Peripheral blood film. Giemsa stain:
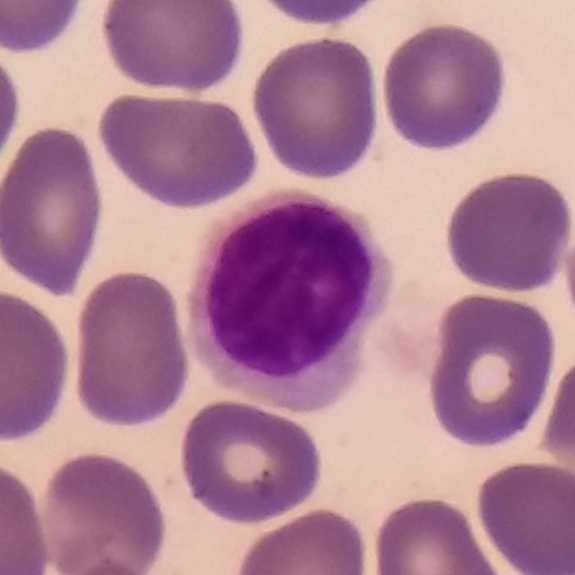
Specimen: peripheral blood smear.
Cell: lymphocyte.